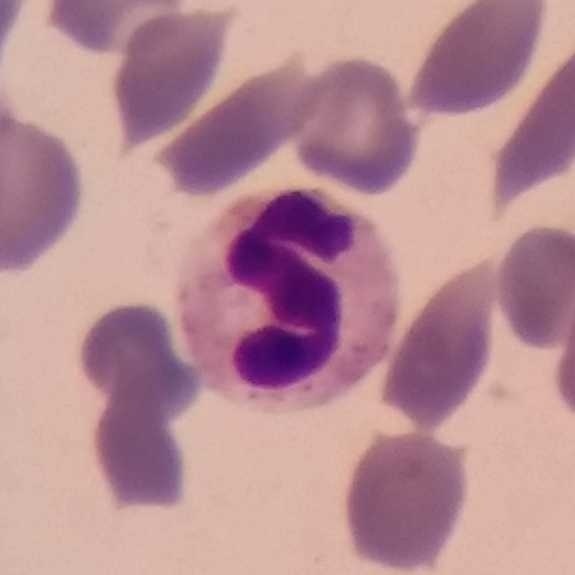

Q: What is the morphological classification of this cell?
A: It is a neutrophil granulocyte. Preparation: Magnification 100×; image size 575×575; peripheral blood smear.